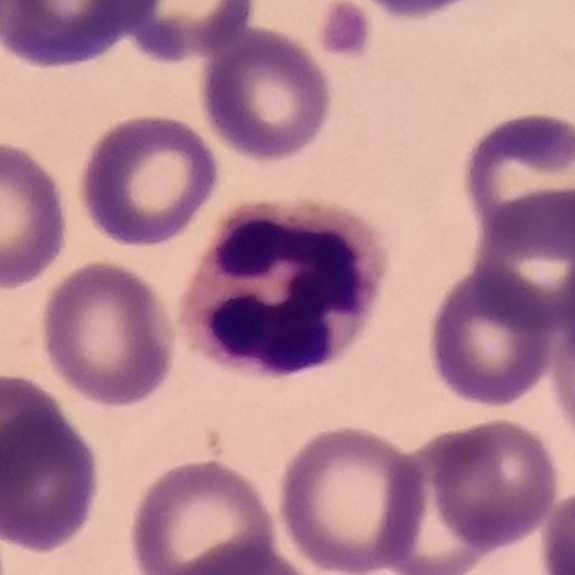 Showing a neutrophilic granulocyte.